Peripheral blood film:
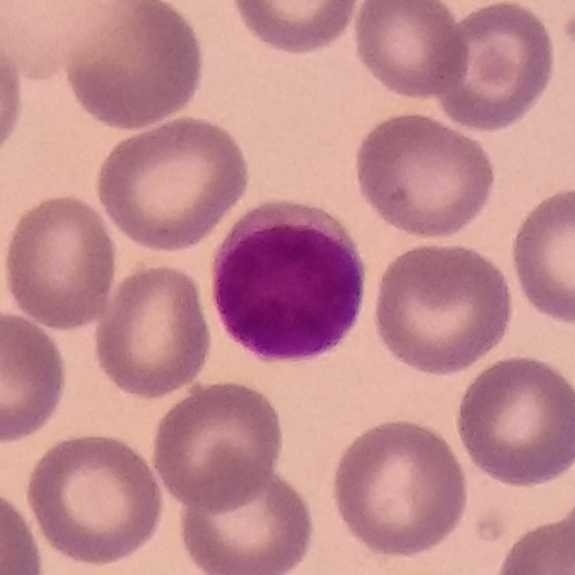
Q: What is the morphological classification of this cell?
A: Lymphocyte.